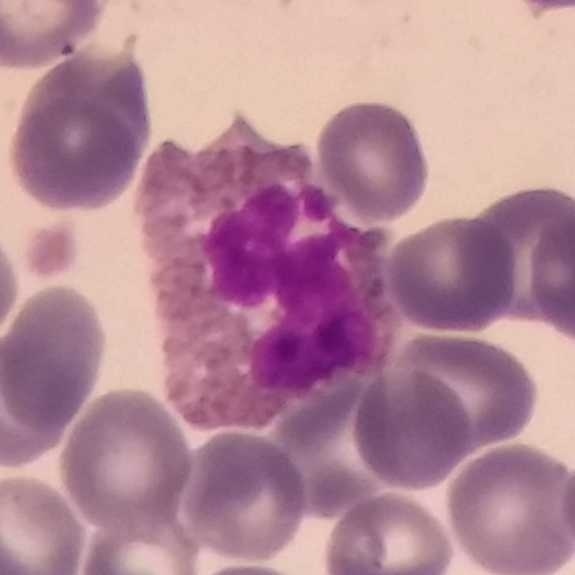
From a peripheral blood smear: an eosinophil.